Imaged at 100×. Peripheral blood smear. 575×575: 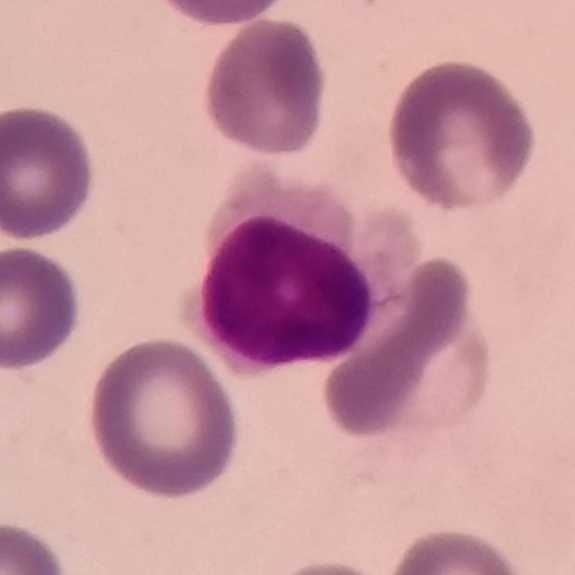

Cell — lymphocyte.